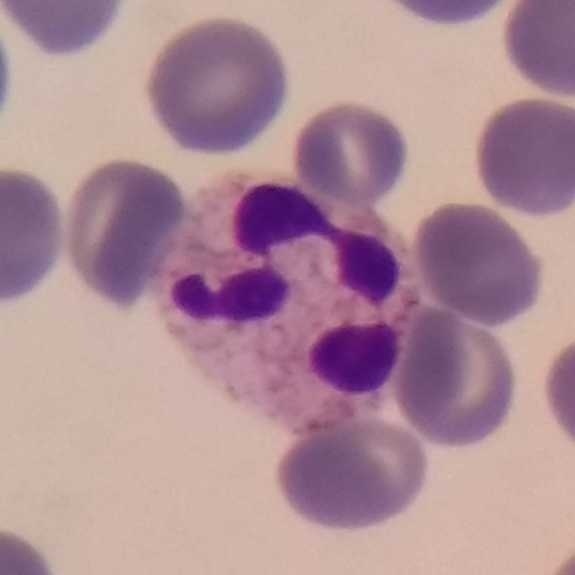

Morphological class = neutrophil. Acquisition: Peripheral blood smear.